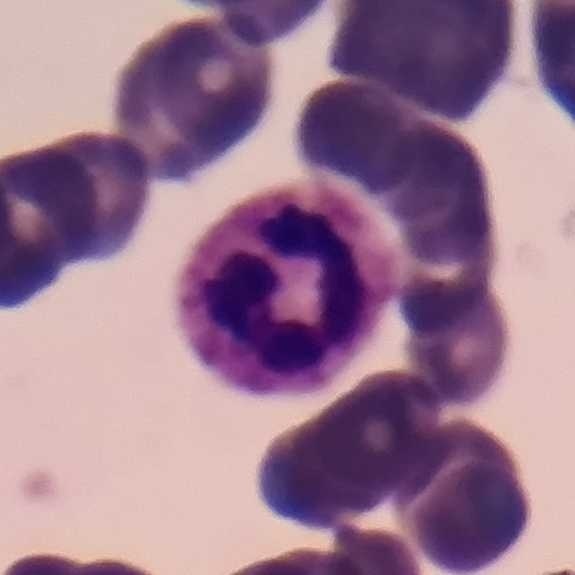

Peripheral blood smear. Magnification 100×. Smartphone camera mounted on the microscope eyepiece.
The cell shown is a neutrophil granulocyte.